Single-cell field; peripheral blood smear
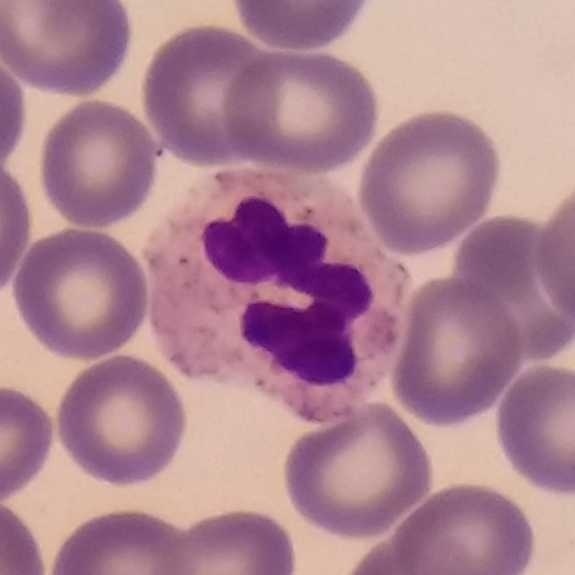The morphological class is neutrophil.